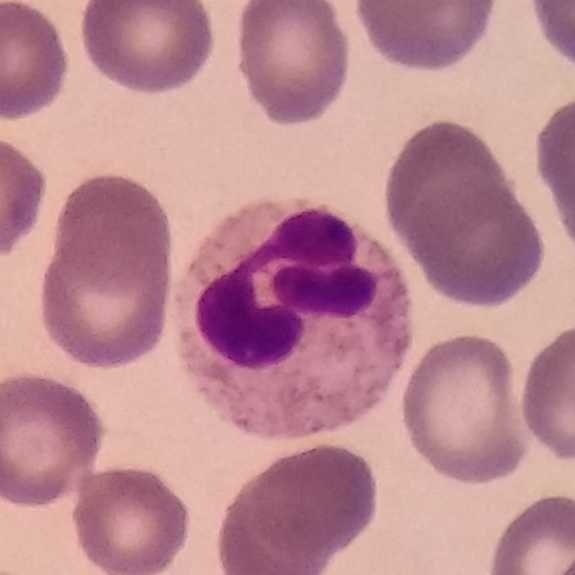

Image: Single white blood cell cropped from the smear photograph. Peripheral blood smear.
The white blood cell in this image is a neutrophilic granulocyte.